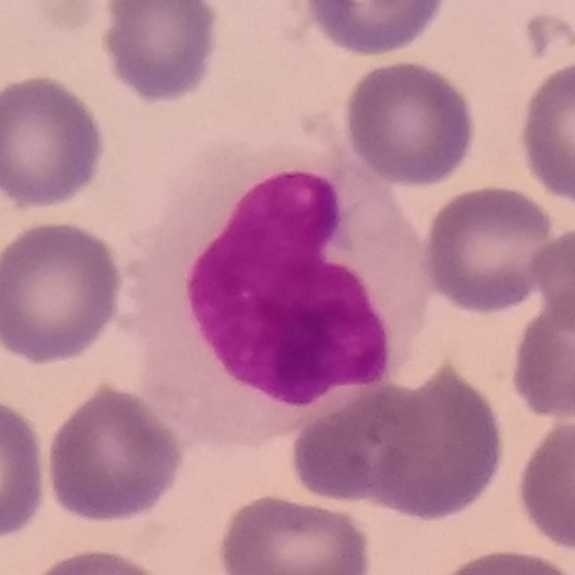
Magnification 100× · stained with Giemsa · peripheral blood film.
Morphology — monocyte.